575 by 575 pixels · peripheral blood film: 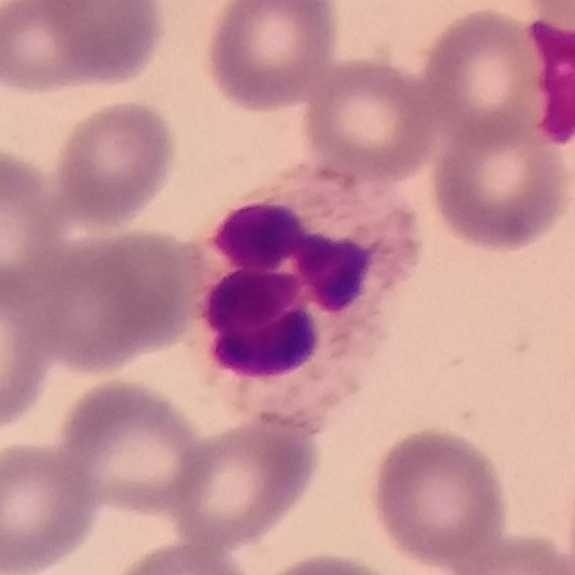

Specimen: peripheral blood smear.
White blood cell type: neutrophil granulocyte.
Lineage: myeloid.